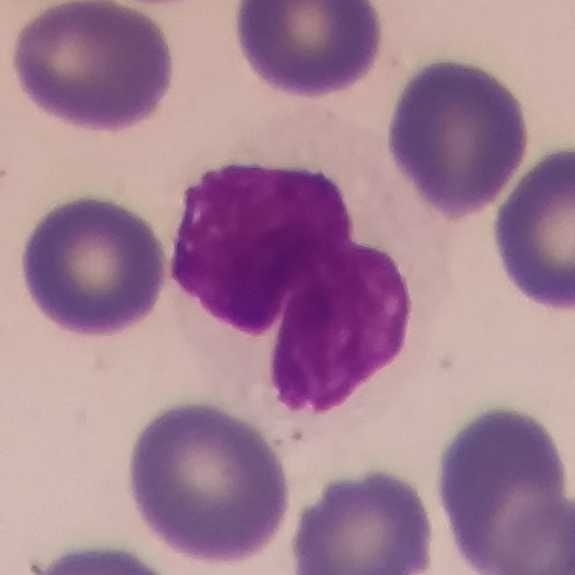

White blood cell type — monocyte.
Peripheral blood smear.